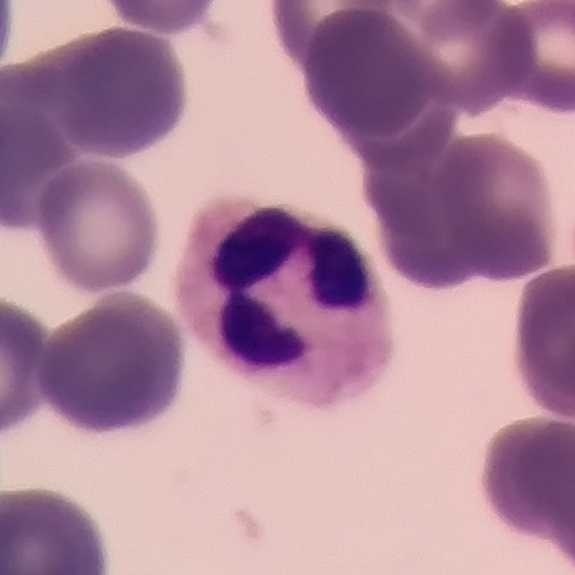 Specimen: peripheral blood smear.
Morphological class: neutrophil.

Imaged at 100×.